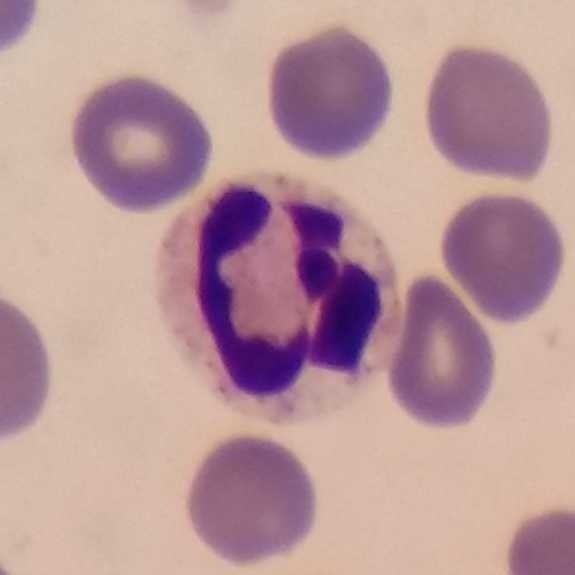Q: Which type of white blood cell is this?
A: This is a neutrophil. Image: Peripheral blood smear · Giemsa stain · 575×575 px.